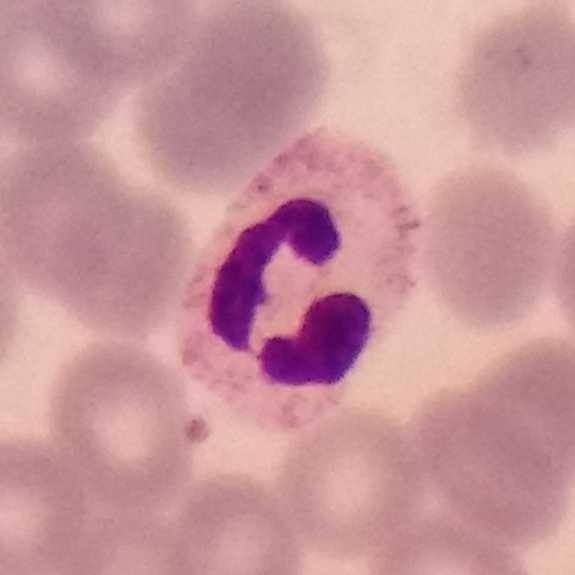 A neutrophilic granulocyte.
Acquisition: Phone-camera image taken through the microscope ocular. Peripheral blood smear.